Smartphone photomicrograph; peripheral blood film.
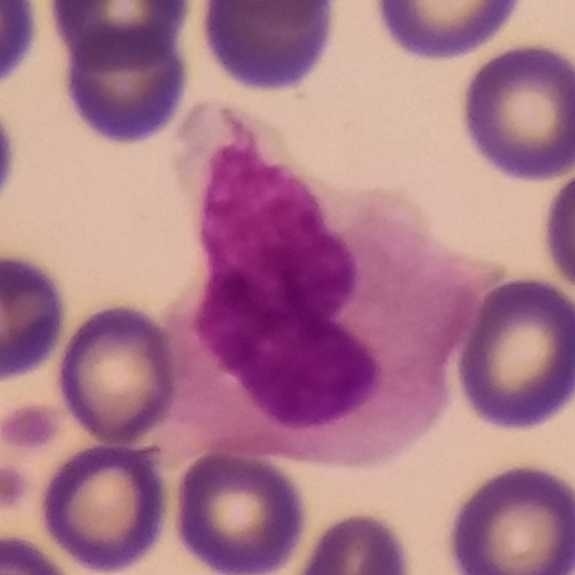 White blood cell type: monocyte.